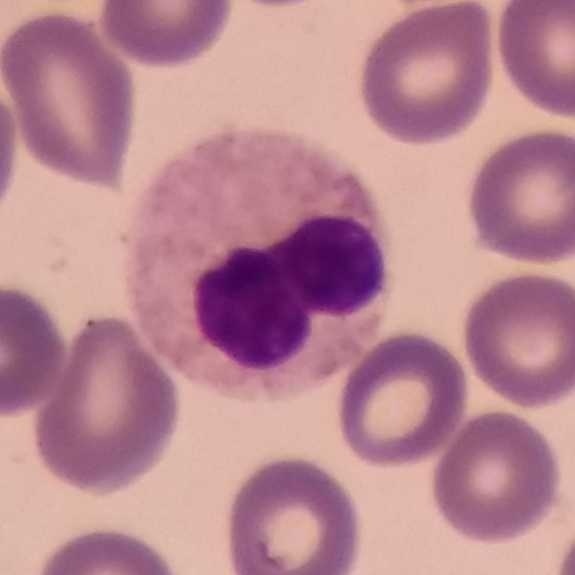The cell shown is a neutrophilic granulocyte.

Acquisition: Peripheral blood smear.